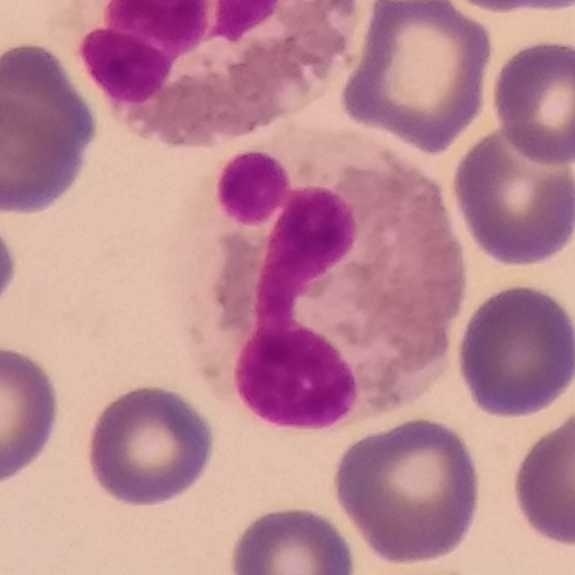White blood cell type = eosinophil.